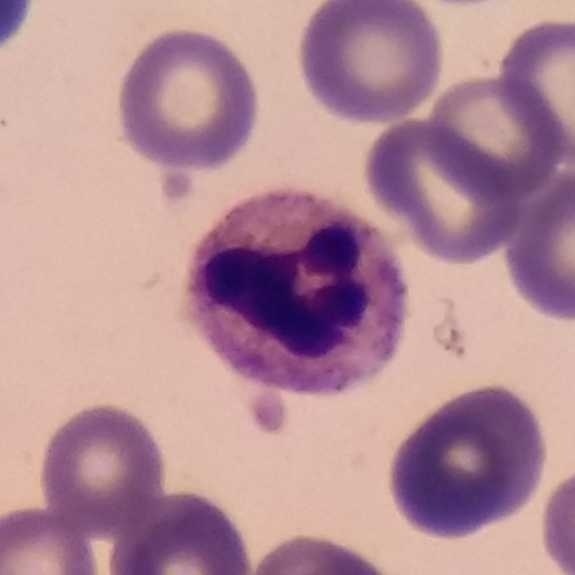

Acquisition: Peripheral blood smear · cropped to one leukocyte · 575×575. Q: Which cell type is shown here?
A: It is a neutrophilic granulocyte.